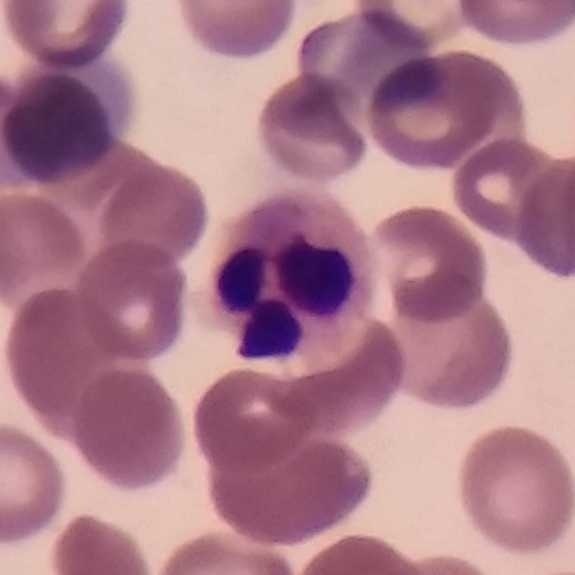

Peripheral blood film.

The white blood cell type is neutrophil granulocyte.